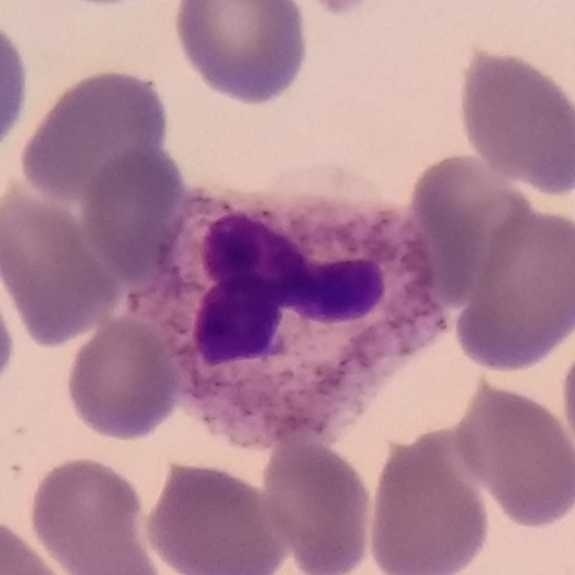
Peripheral blood smear showing a neutrophil.